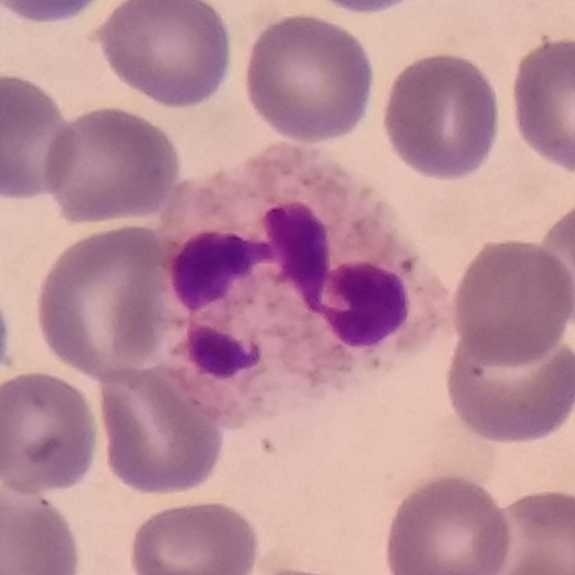
A neutrophil.